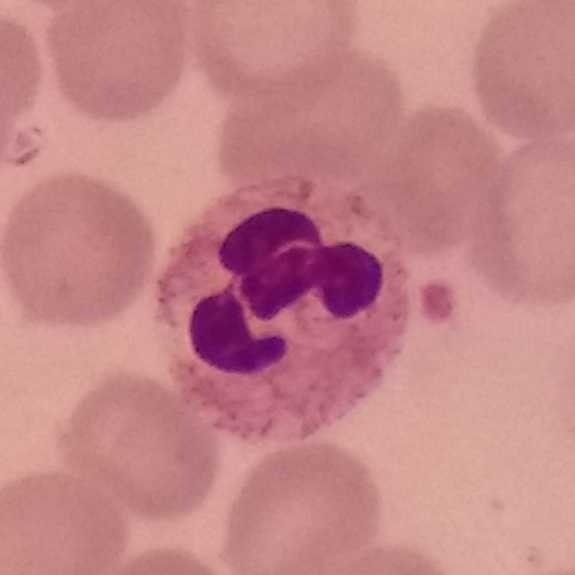 Acquisition: Peripheral blood film; 575 by 575 pixels; stained with Giemsa. Morphology → neutrophilic granulocyte.